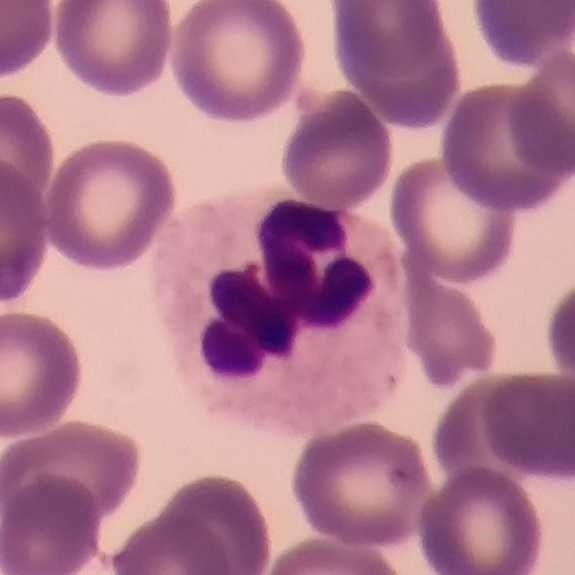 A neutrophil.

Acquisition: Peripheral blood smear.